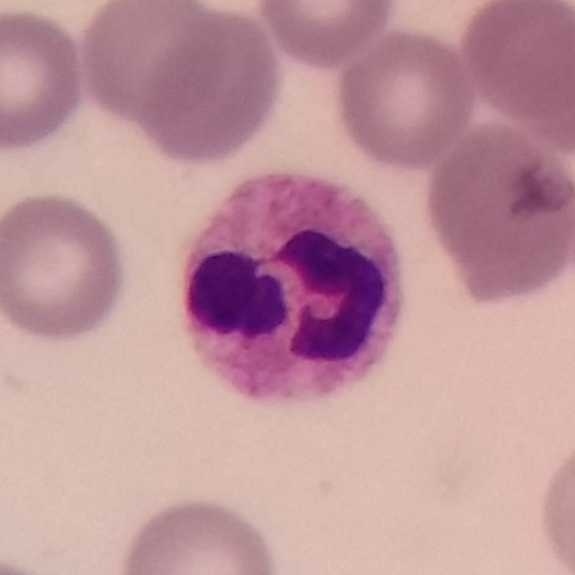Specimen: peripheral blood film.
Classification: neutrophil.